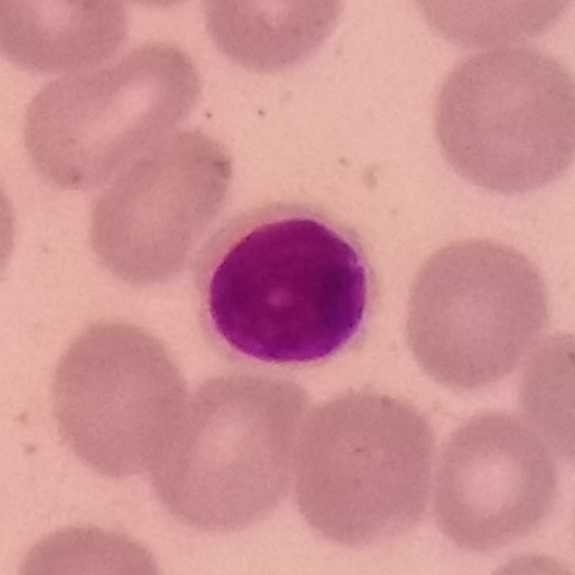 Specimen: peripheral blood film.
Morphological class: lymphocyte.
Lineage: lymphoid.